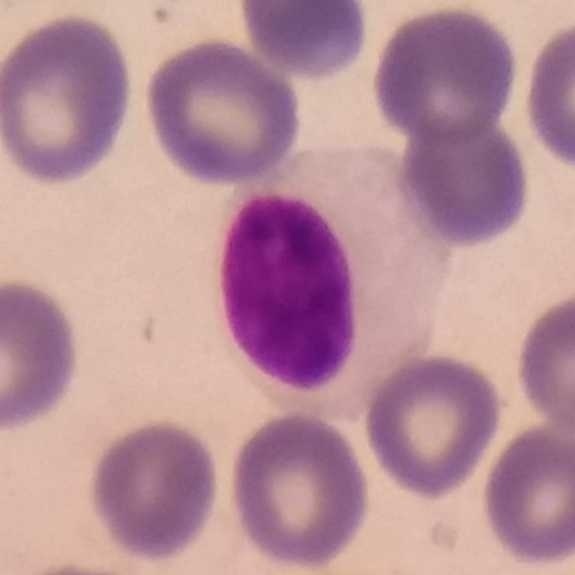

Classification: lymphocyte.
Context: 575 by 575 pixels; peripheral blood film; phone-camera image taken through the microscope ocular.